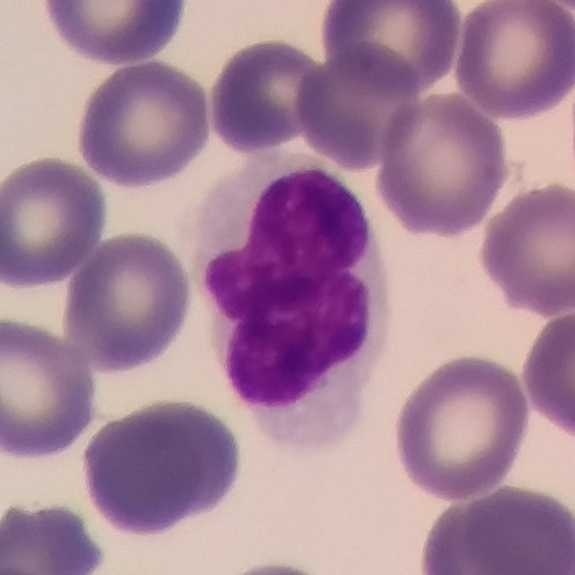
A lymphocyte. Acquisition: Peripheral blood smear. 575×575. Imaged at 100×.